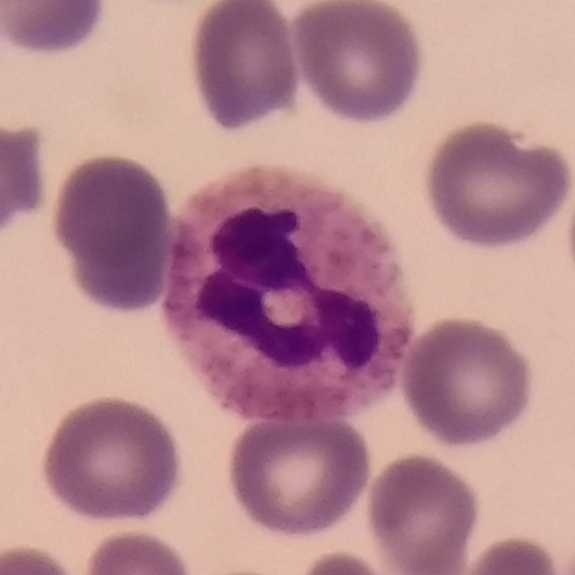
This is a neutrophil.
Preparation: Peripheral blood film.